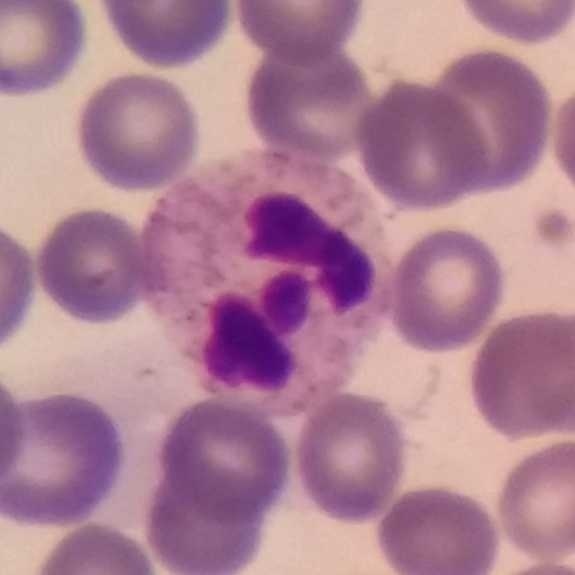

Preparation: Peripheral blood film; smartphone camera mounted on the microscope eyepiece. Cell: neutrophilic granulocyte.